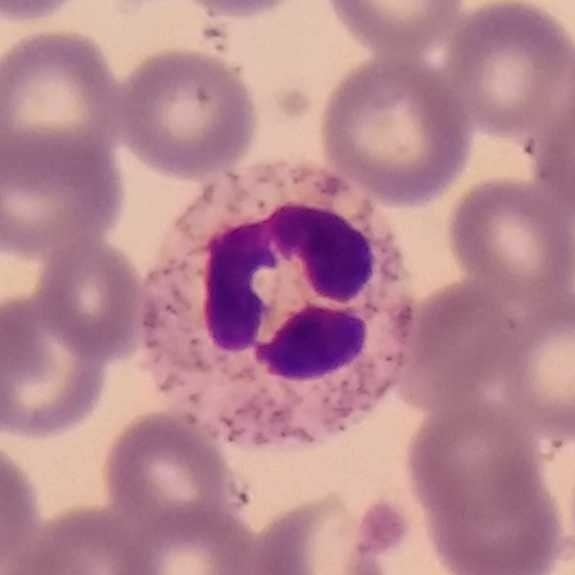

This is a neutrophilic granulocyte.

Context: Peripheral blood smear.